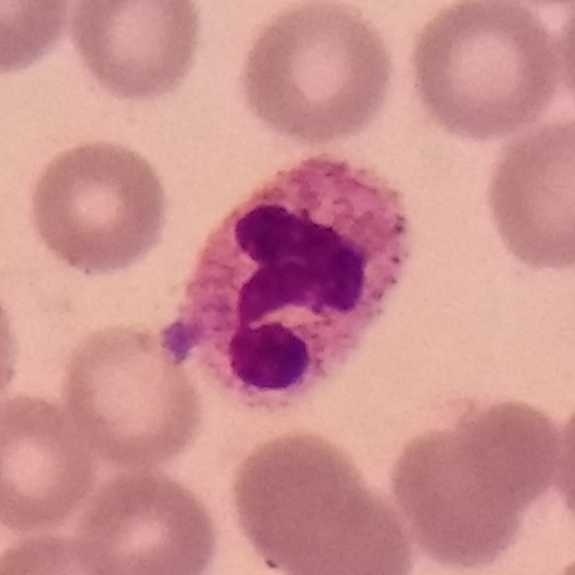
Preparation: Peripheral blood film. Q: What type of cell is this?
A: This is a neutrophilic granulocyte.